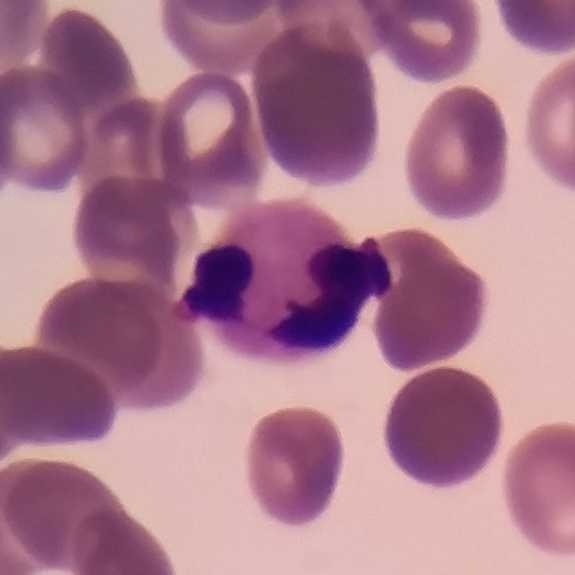
Cell = neutrophil.